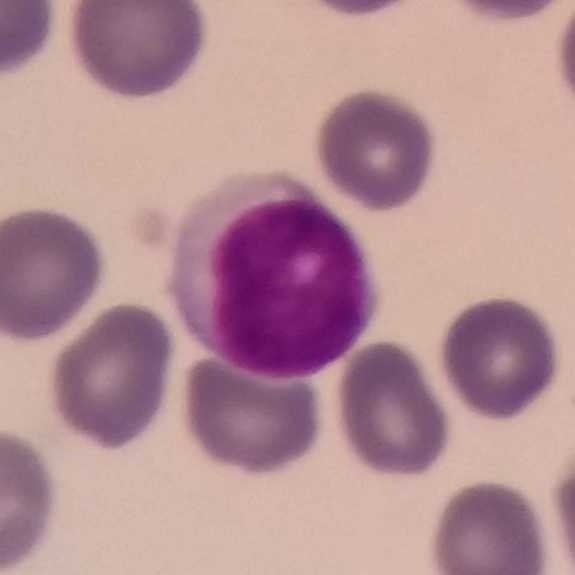
575×575. Single white blood cell cropped from the smear photograph. Specimen: peripheral blood film.
Cell type: lymphocyte.
Lineage: lymphoid.